Peripheral blood film.
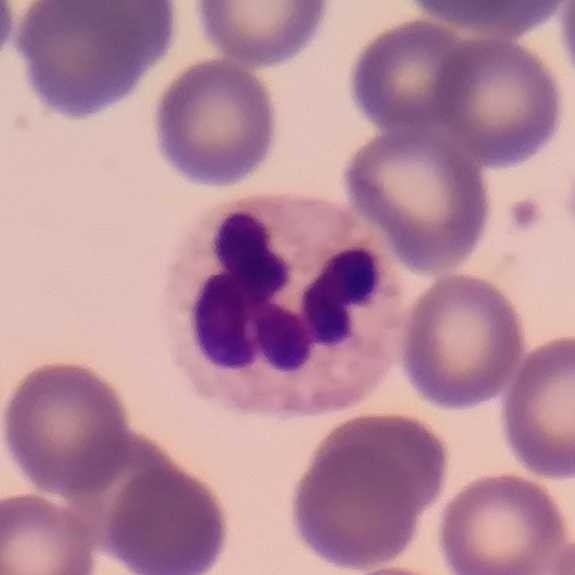Q: Classify this leukocyte.
A: Neutrophil granulocyte.